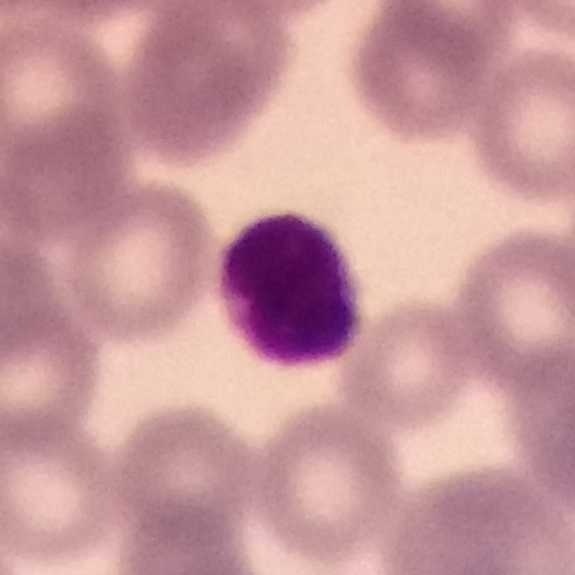 Q: What is the morphological classification of this cell?
A: Lymphocyte. Acquisition: Peripheral blood smear.